Giemsa-stained; 100× magnification; peripheral blood film — 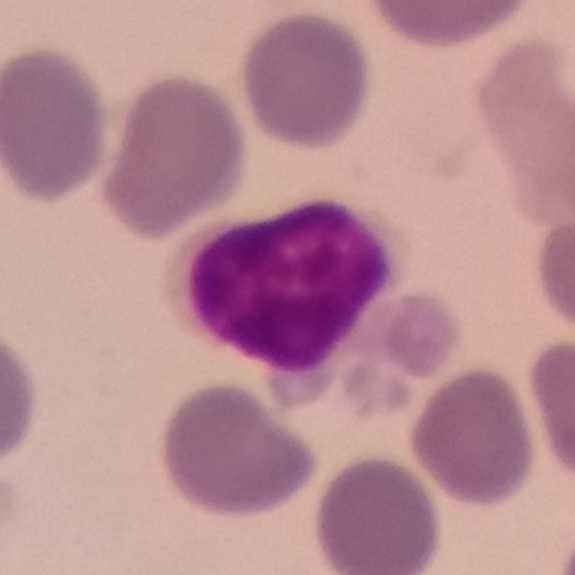
A lymphocyte.